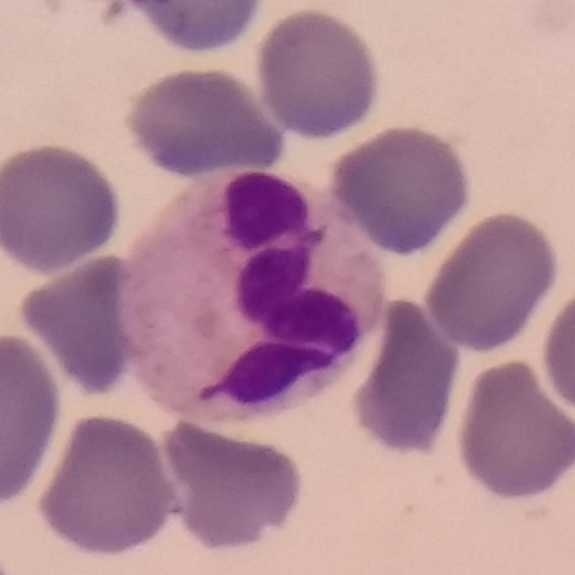
Image: Peripheral blood film. Smartphone camera mounted on the microscope eyepiece. Classification — neutrophilic granulocyte.